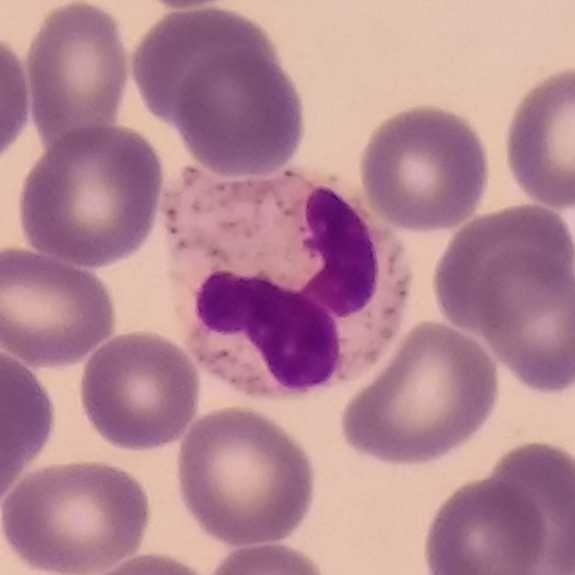

Cell: neutrophil. Acquisition: Peripheral blood film. Smartphone camera mounted on the microscope eyepiece. Single white blood cell cropped from the smear photograph.